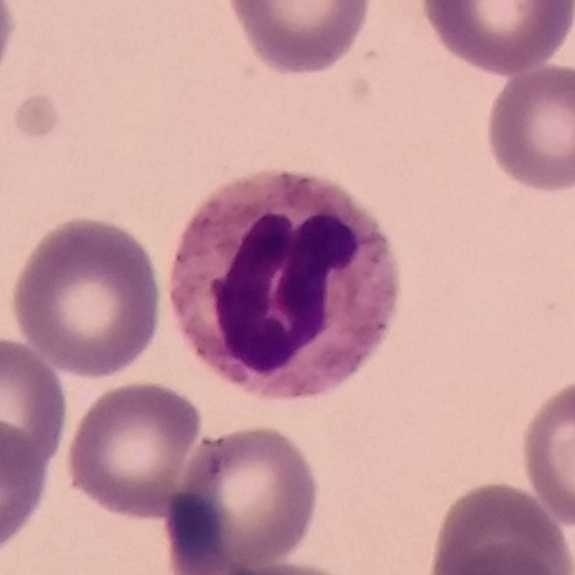 Q: Identify the cell.
A: This is a neutrophil granulocyte.
Acquisition: Giemsa-stained; 100× magnification; peripheral blood film.